Smartphone photomicrograph; peripheral blood smear:
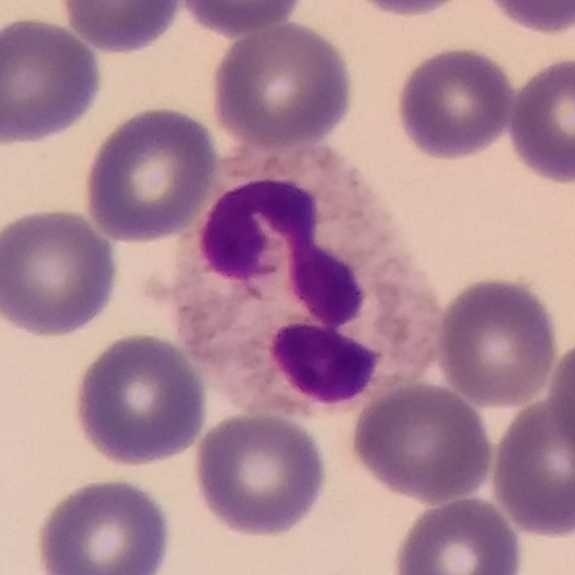

Specimen: peripheral blood film.
White blood cell type: neutrophilic granulocyte.
Lineage: myeloid.